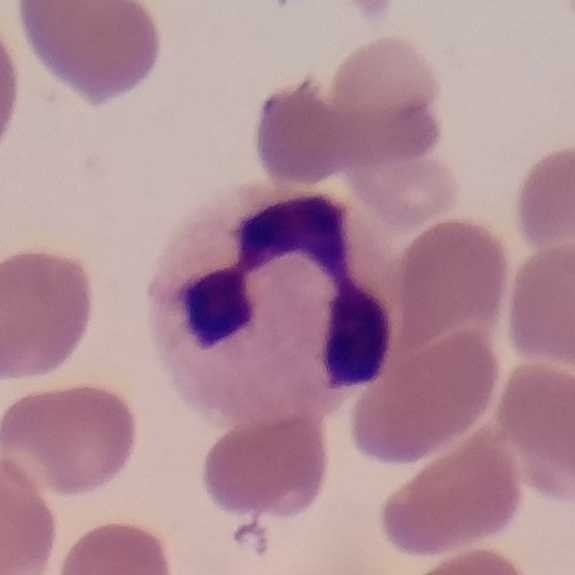
Magnification 100×. Specimen: peripheral blood film.
Cell type: neutrophil granulocyte.
Lineage: myeloid.